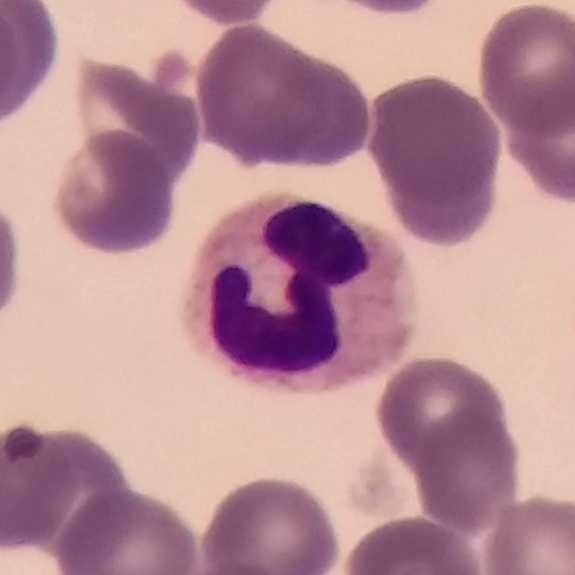Cell — neutrophilic granulocyte.